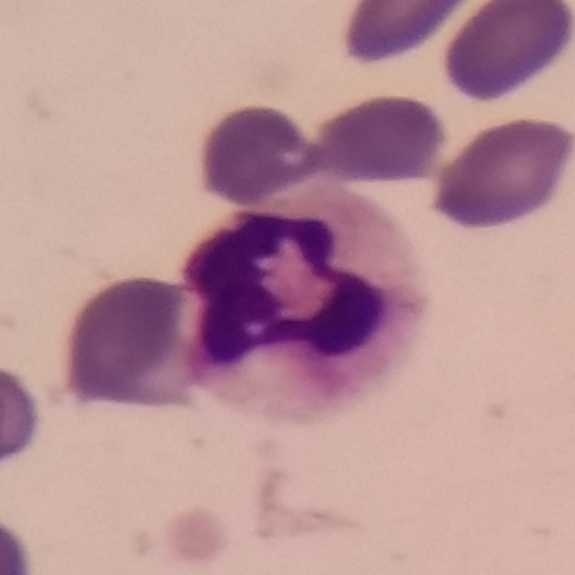

Preparation: Single-cell crop; magnification 100×.
Specimen: peripheral blood film.
White blood cell type: neutrophilic granulocyte.